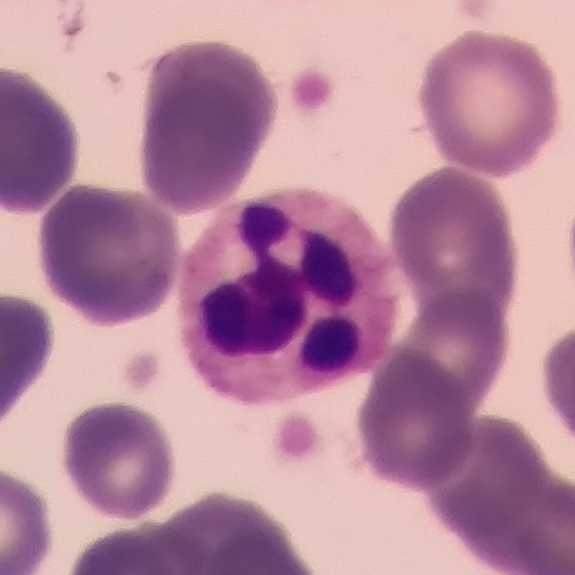
The classification is neutrophilic granulocyte.